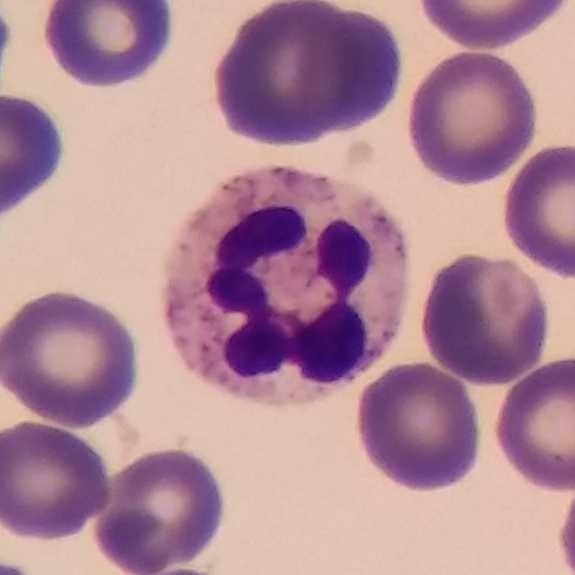
This is a neutrophil.